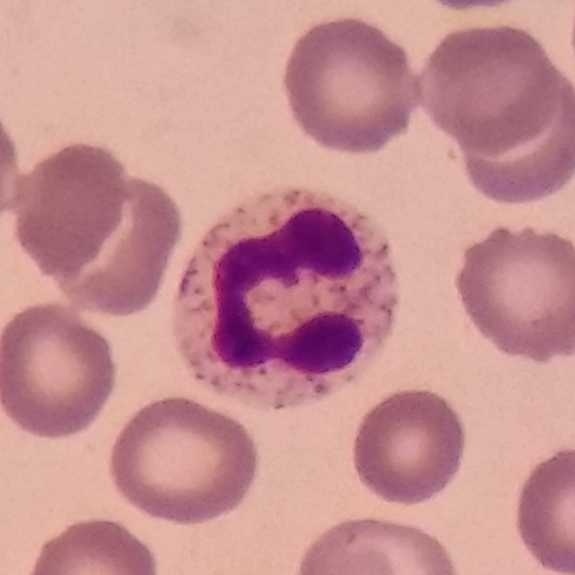Impression → neutrophil.